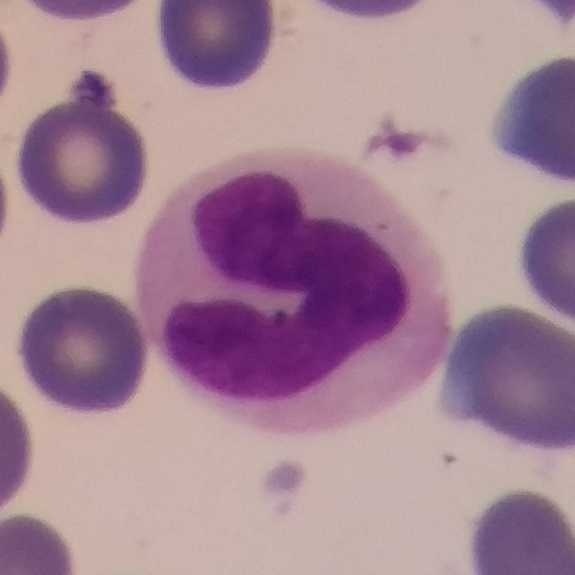
Specimen: peripheral blood smear.
Morphological class: neutrophilic granulocyte.
Lineage: myeloid.